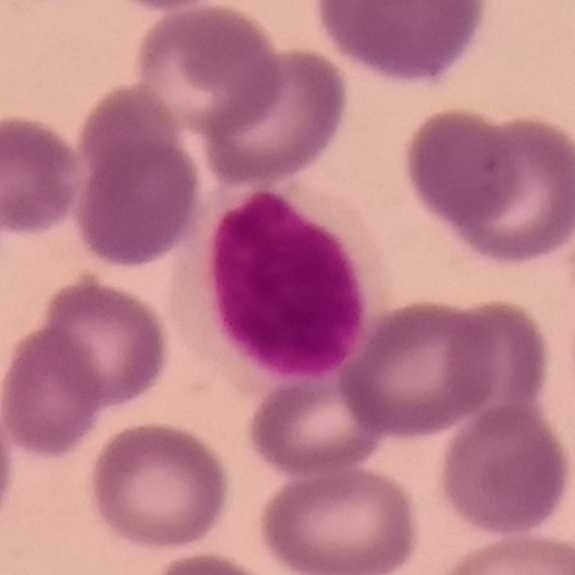Single cell identified as a lymphocyte.
Peripheral blood smear.